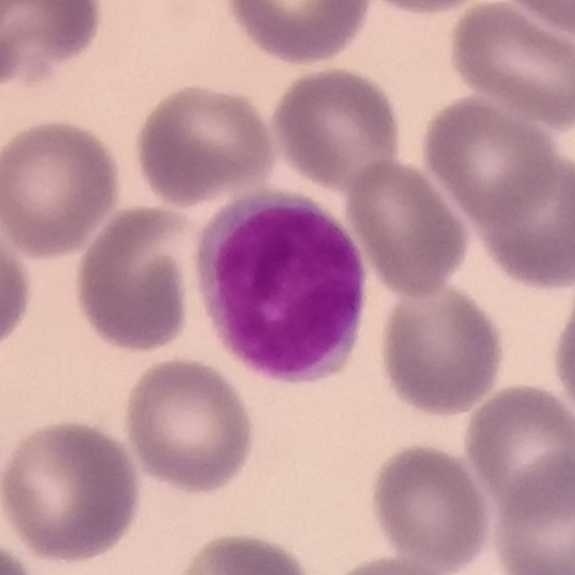Specimen: peripheral blood film.
Cell: lymphocyte.
Lineage: lymphoid.